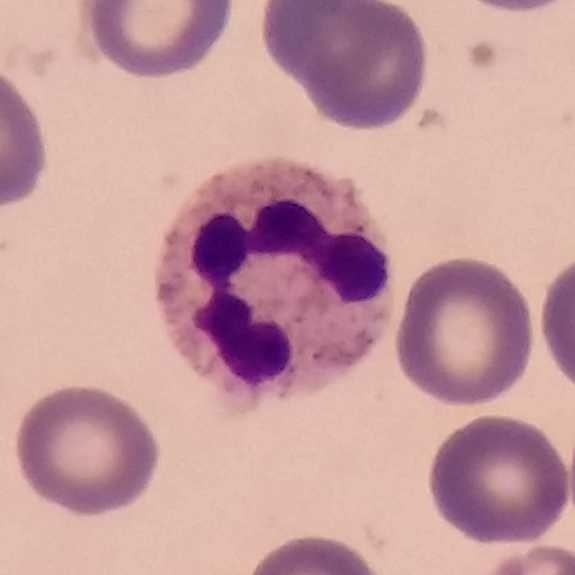 Neutrophil.

Giemsa stain; peripheral blood film.